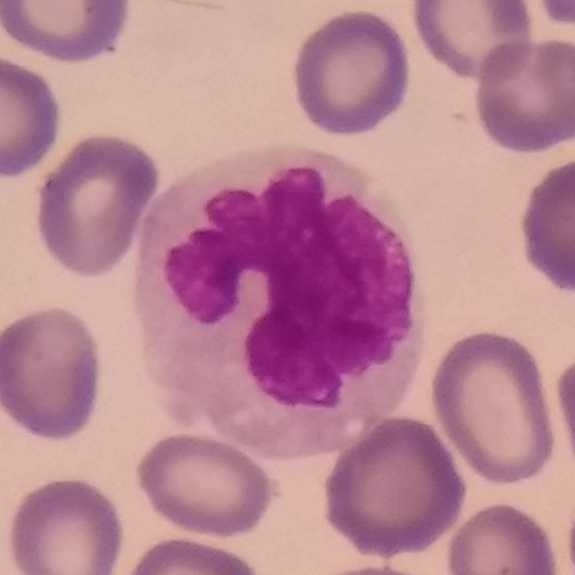
Preparation: Single-cell field · peripheral blood smear.
Morphology consistent with a monocyte.